Peripheral blood smear:
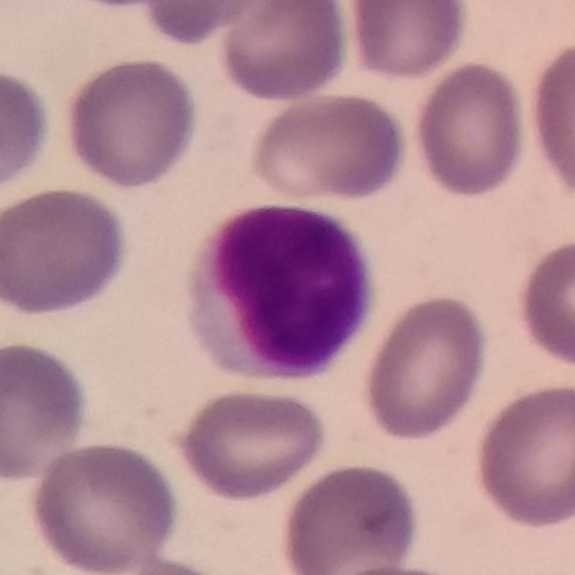
Cell type = lymphocyte.